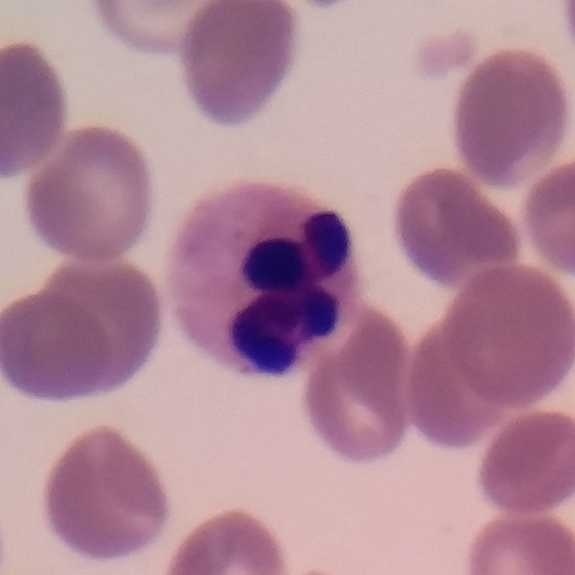
Acquisition: Peripheral blood smear. Morphological class = neutrophilic granulocyte.